Peripheral blood film; stained with Giemsa:
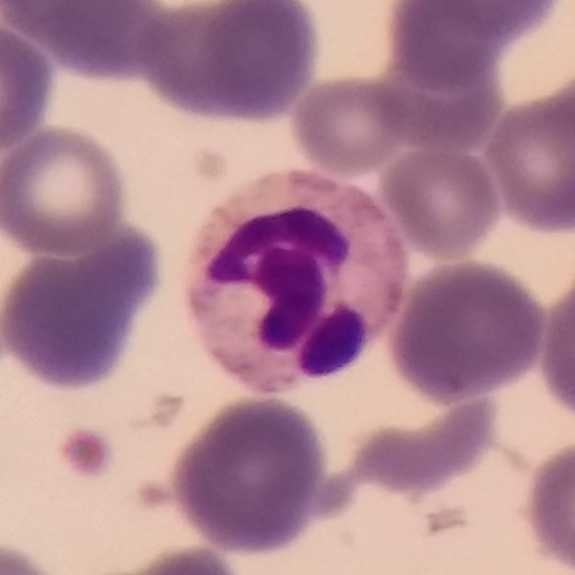

Specimen: peripheral blood smear.
Morphological class: neutrophil.
Lineage: myeloid.